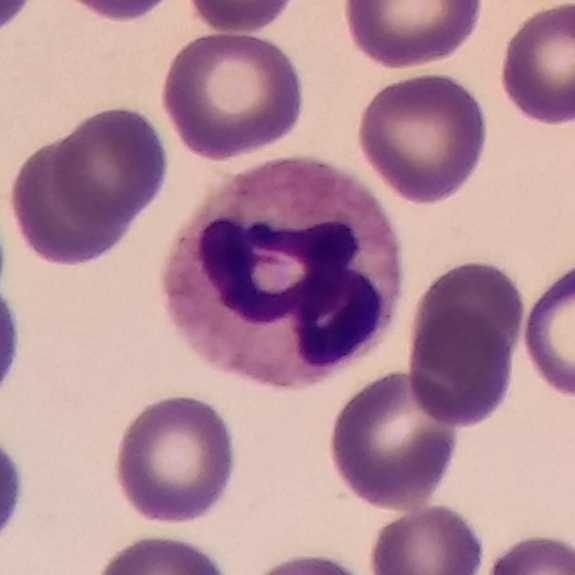Peripheral blood smear. Morphology consistent with a neutrophilic granulocyte.